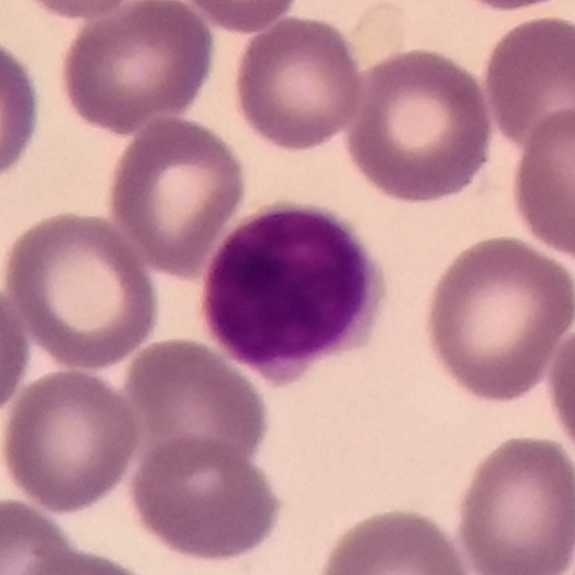 A lymphocyte.
Peripheral blood smear.